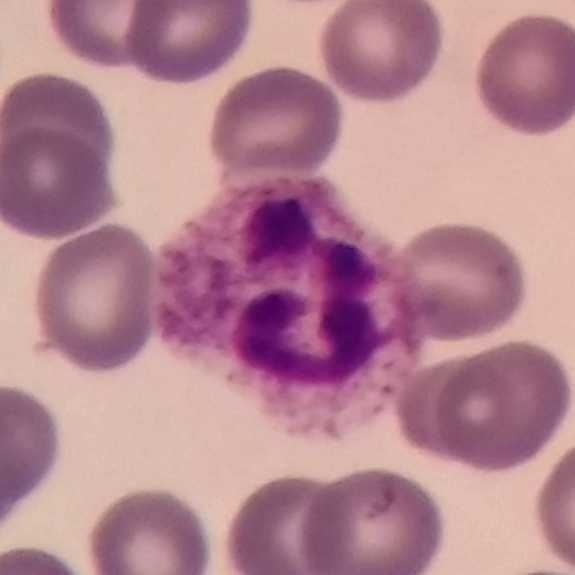

Q: What cell is this?
A: Neutrophil granulocyte.